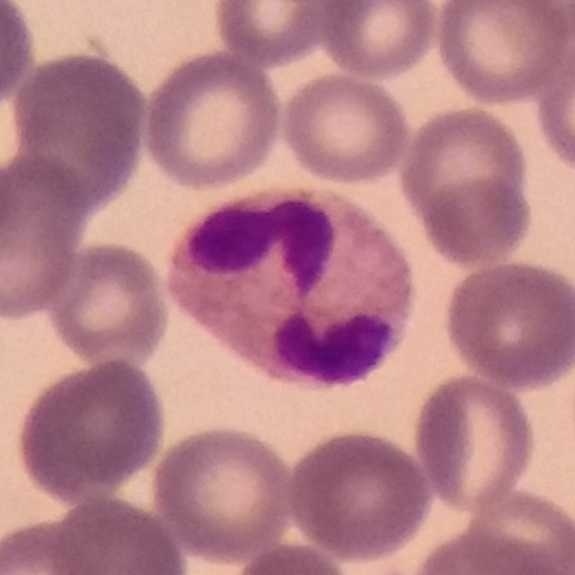

Cell type: neutrophil.